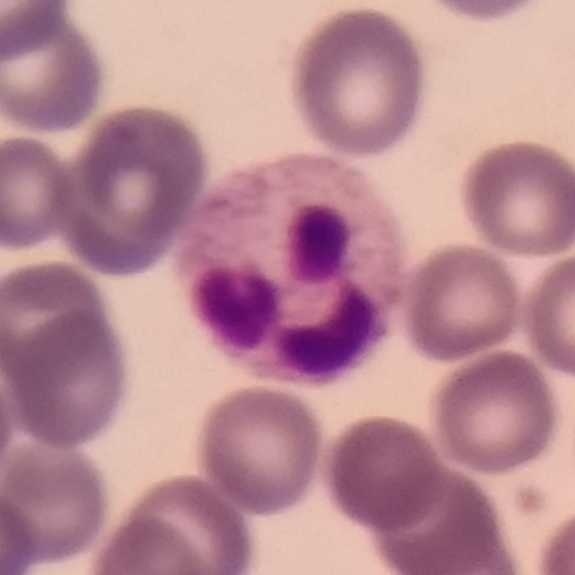 Cell: neutrophil granulocyte. Preparation: Peripheral blood smear. 575 by 575 pixels.